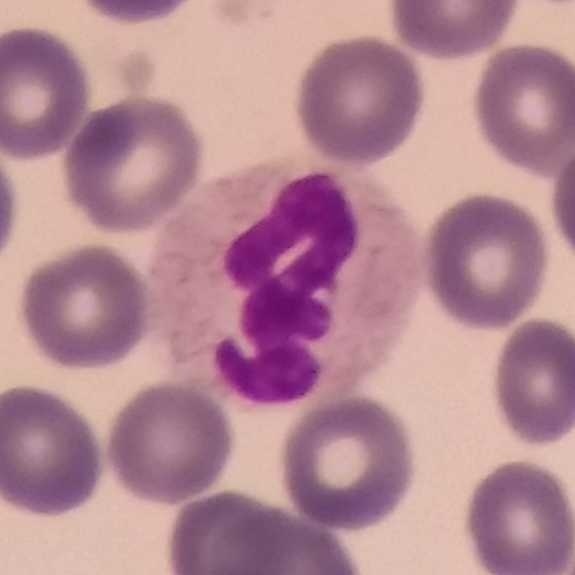Specimen: peripheral blood film.
Morphological class: neutrophil.
Lineage: myeloid.